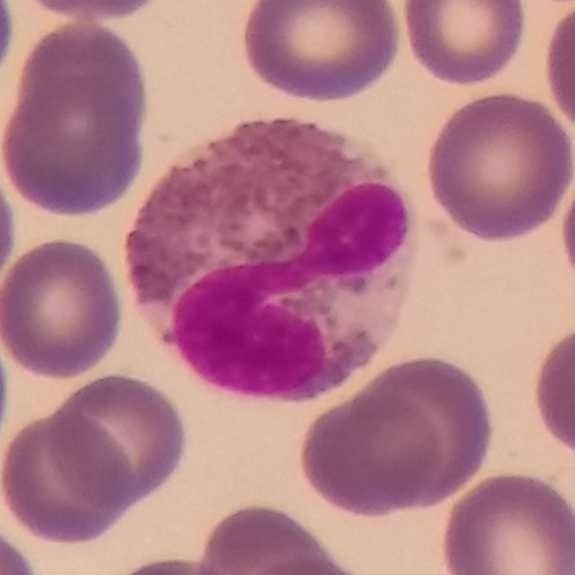 Single cell identified as an eosinophilic granulocyte. Context: Peripheral blood film.